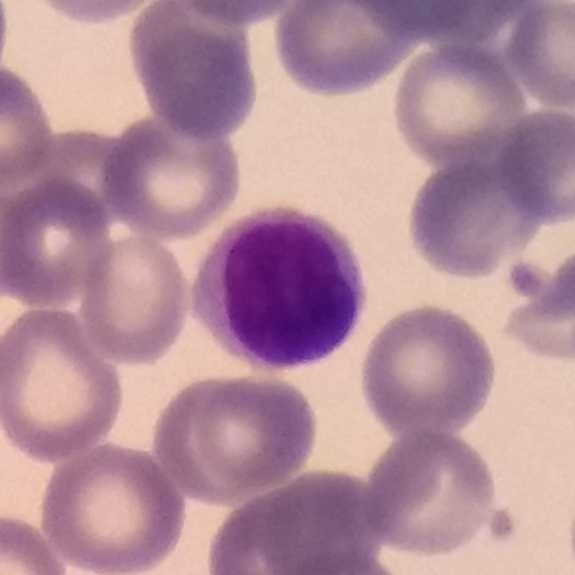

Morphological class: lymphocyte.